Image size 575×575 · peripheral blood smear · photographed through a light microscope with a smartphone camera: 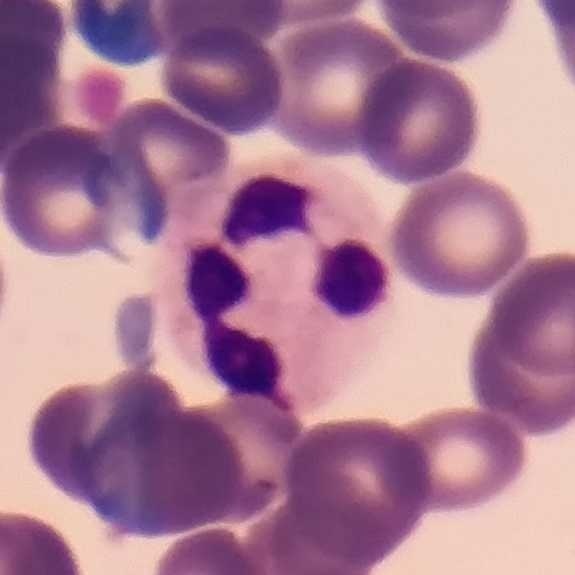 Showing a neutrophil granulocyte.